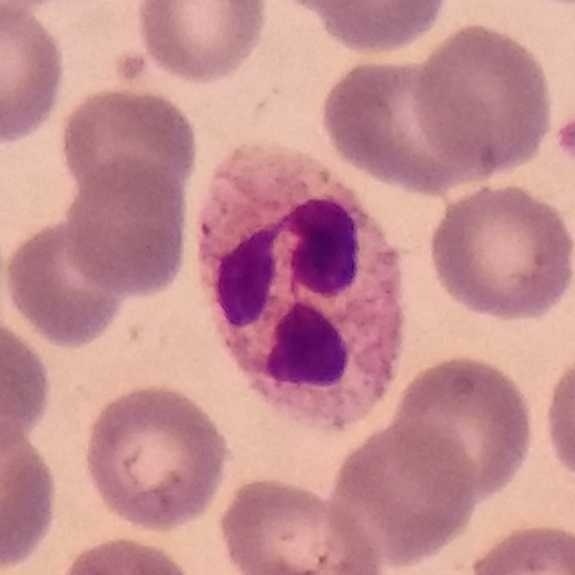Preparation: Peripheral blood film. Giemsa stain.

{"cell_type": "neutrophil", "lineage": "myeloid"}